Giemsa-stained; single-cell crop; peripheral blood smear:
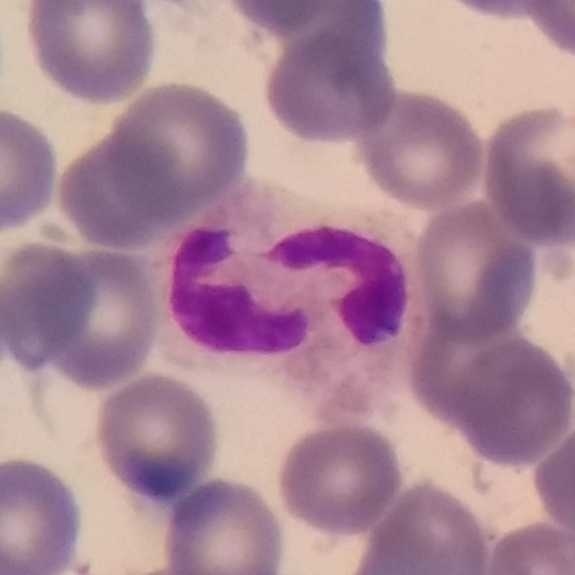
Showing a neutrophil granulocyte.